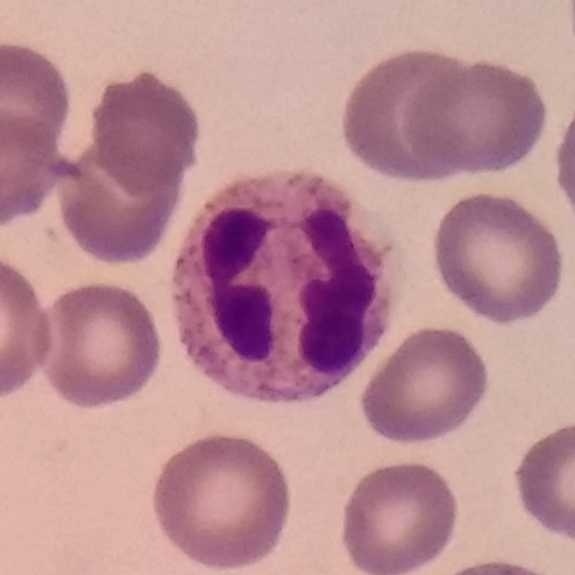 Single cell identified as a neutrophil.
Context: Single white blood cell cropped from the smear photograph · peripheral blood smear.